Peripheral blood smear · stained with Giemsa · phone-camera image taken through the microscope ocular: 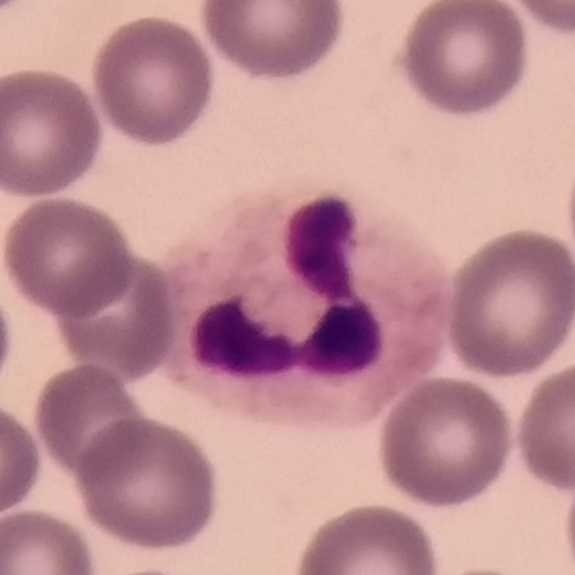
Impression → neutrophil.